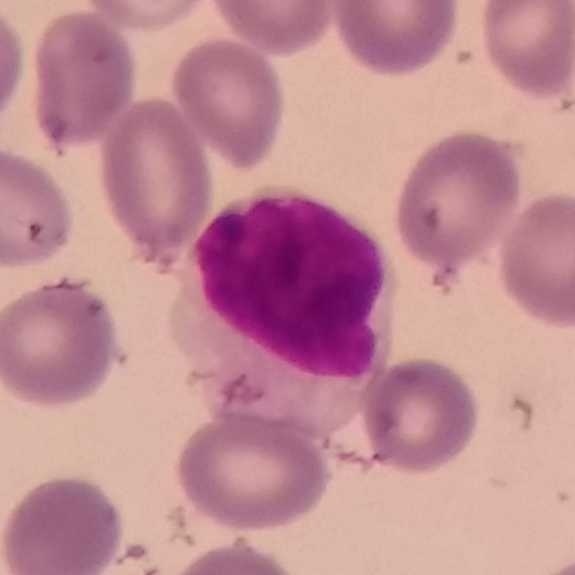White blood cell type = lymphocyte. Stained with Giemsa; single-cell field; peripheral blood smear.